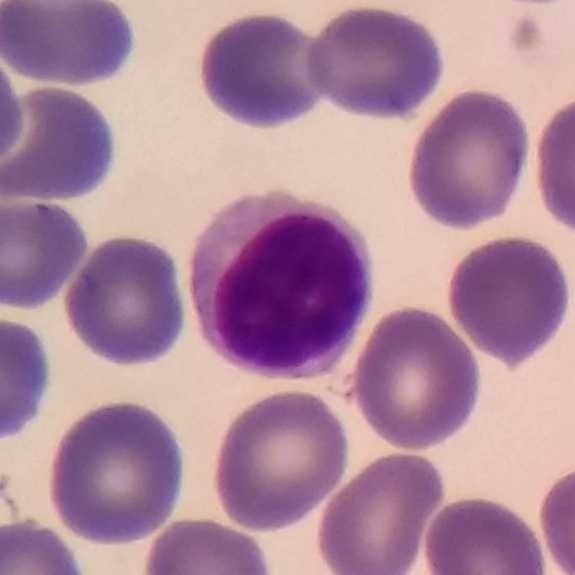
Identified as a lymphocyte. 575×575 · peripheral blood film.